Peripheral blood smear. Giemsa stain. Smartphone camera mounted on the microscope eyepiece — 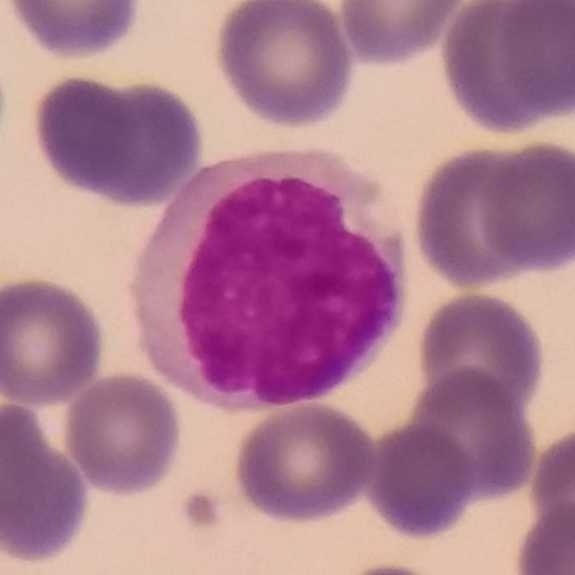 Q: Which type of white blood cell is this?
A: Monocyte.